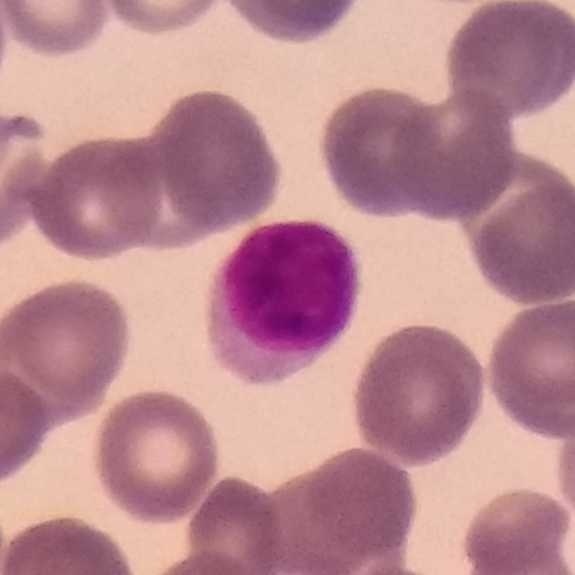

A lymphocyte. Preparation: 100× magnification; smartphone photomicrograph; peripheral blood film.